Giemsa stain; peripheral blood film — 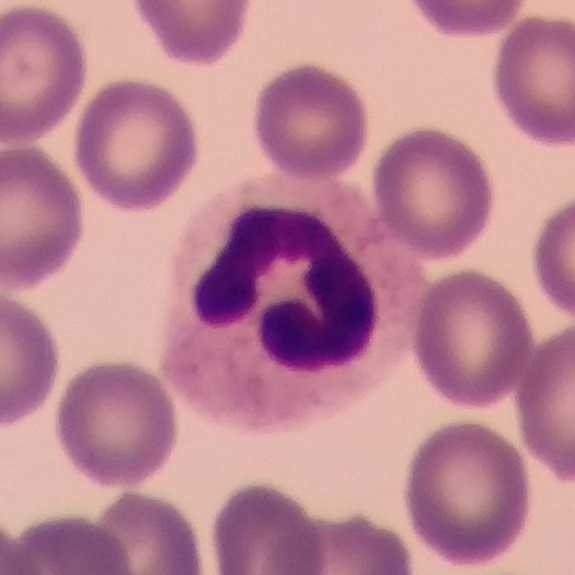
Showing a neutrophilic granulocyte.